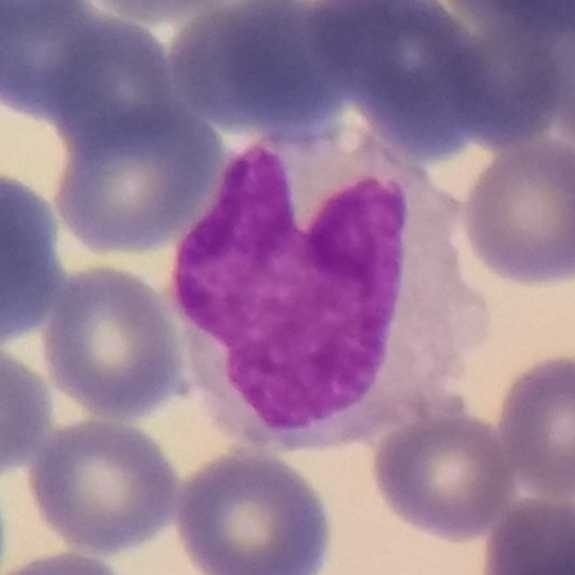Showing a monocyte. Context: Peripheral blood smear.